Peripheral blood smear.
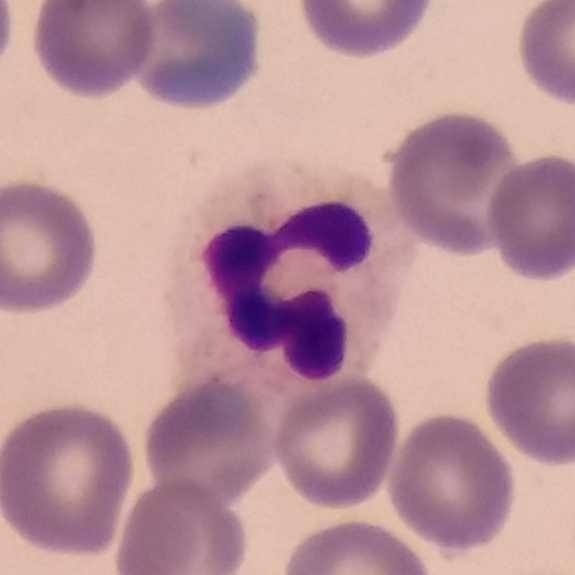The cell is neutrophil.